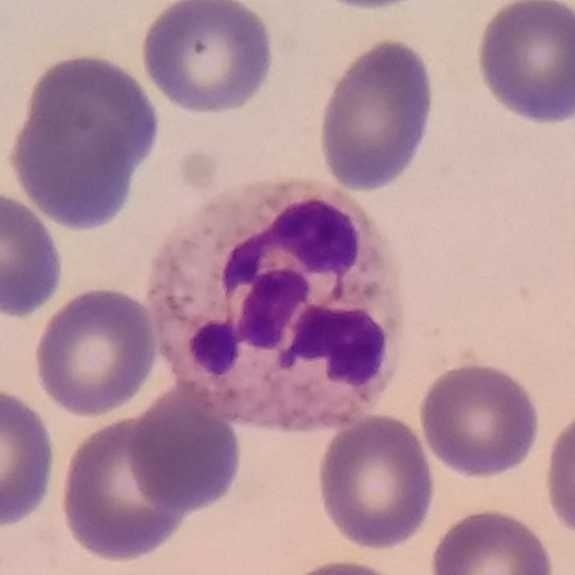
{"cell_type": "neutrophil granulocyte"}

Preparation: Peripheral blood film. Photographed through a light microscope with a smartphone camera. 575 by 575 pixels.